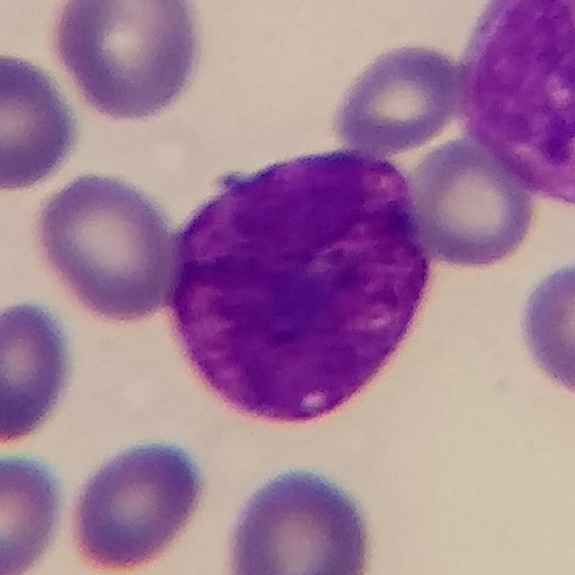 A basophil on a peripheral blood smear.